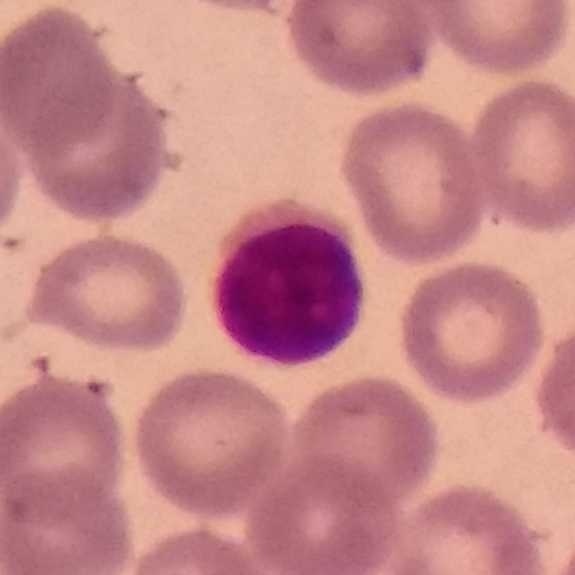Q: What is the morphological classification of this cell?
A: A lymphocyte.